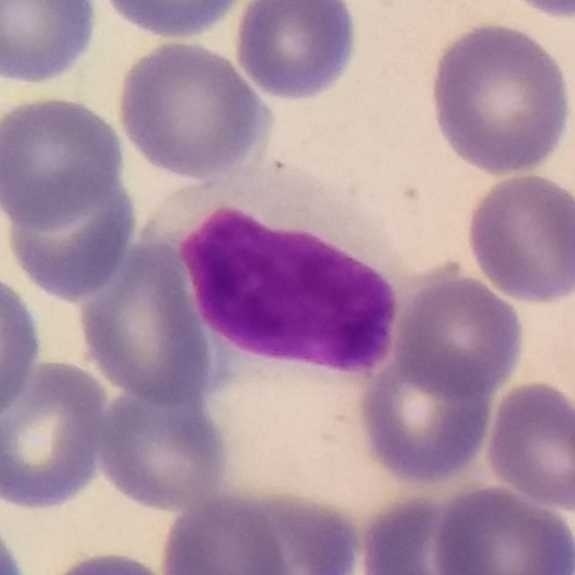 Acquisition: Peripheral blood film. {"cell_type": "lymphocyte"}